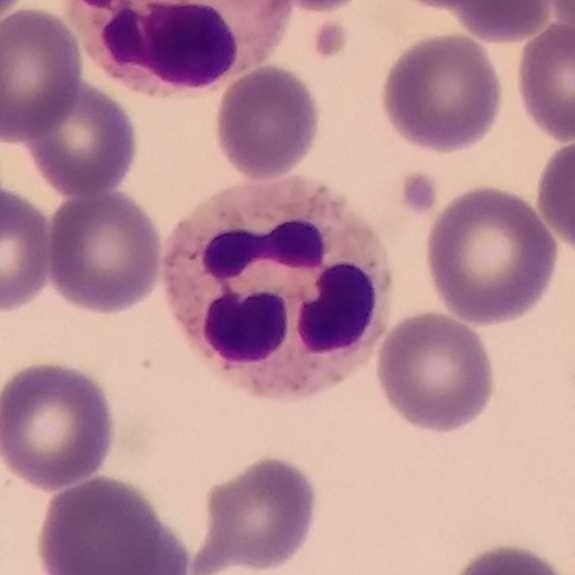
Single cell identified as a neutrophilic granulocyte.